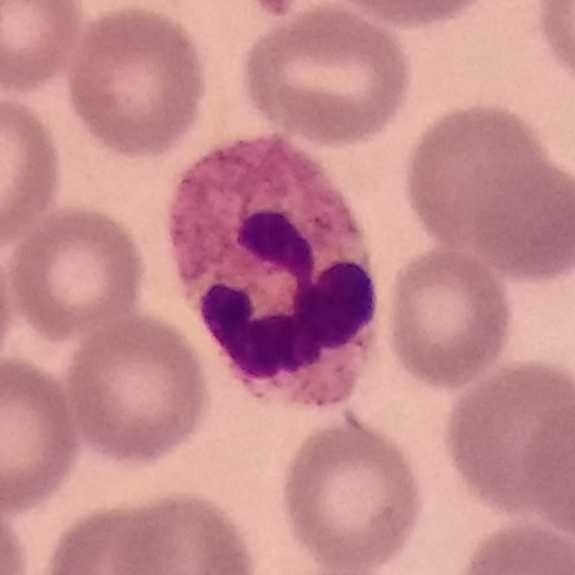

Context: Peripheral blood smear · single white blood cell cropped from the smear photograph.
Showing a neutrophil.